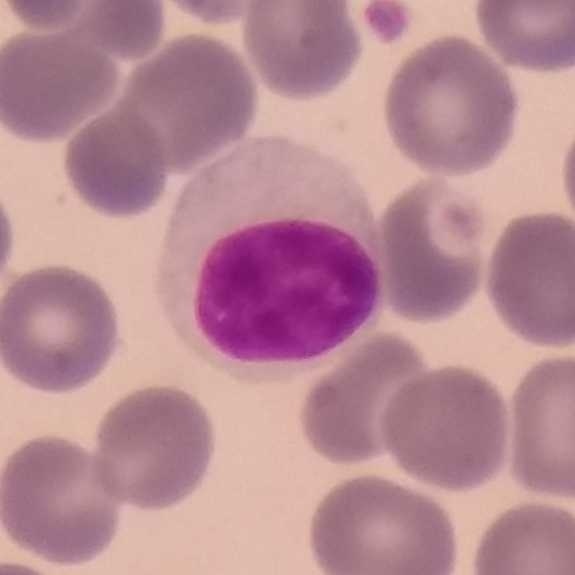 Specimen: peripheral blood smear.
Morphological class: lymphocyte.